575 by 575 pixels; peripheral blood film — 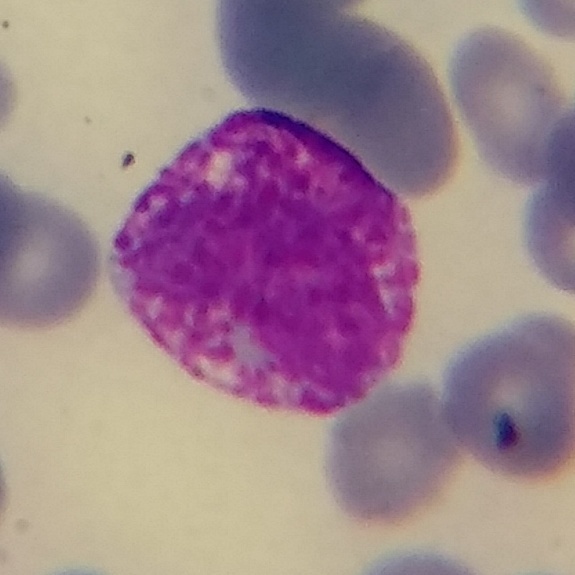 {"cell_type": "basophil", "lineage": "myeloid"}